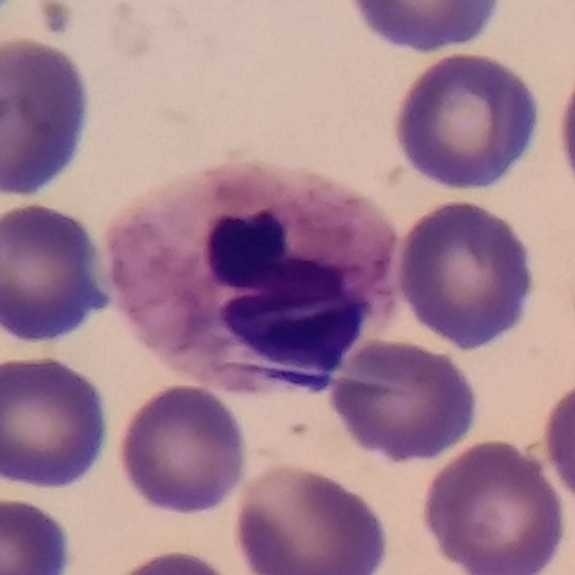
Morphology consistent with a neutrophilic granulocyte.